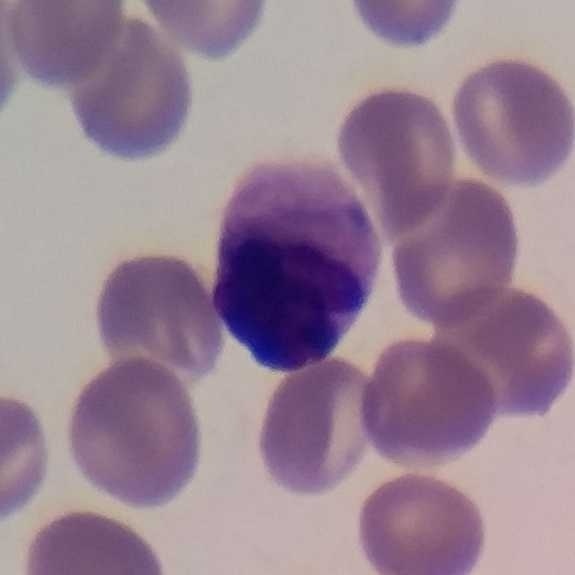

Specimen: peripheral blood film.
Cell type: lymphocyte.
Lineage: lymphoid.